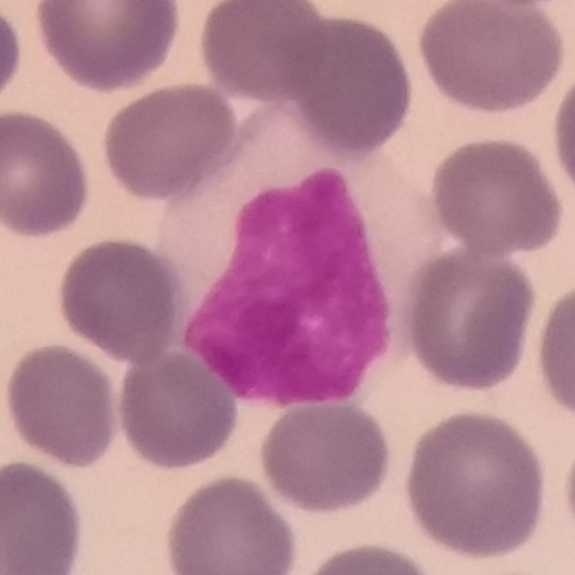 Peripheral blood film.

The white blood cell in this image is a lymphocyte.